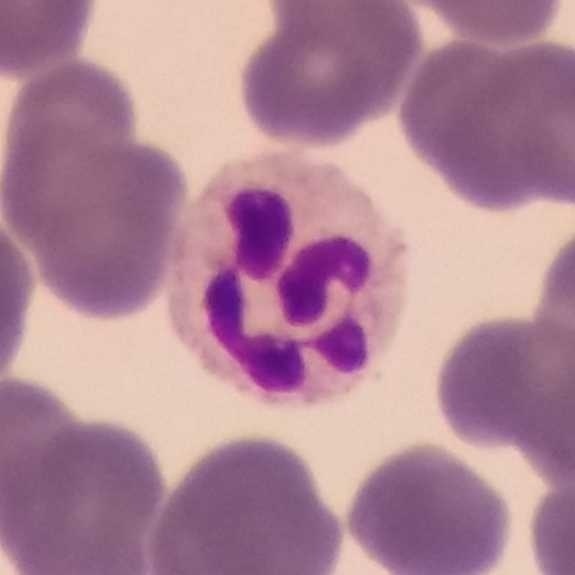

Context: Peripheral blood smear · 100× magnification · smartphone photomicrograph. The cell type is neutrophilic granulocyte.